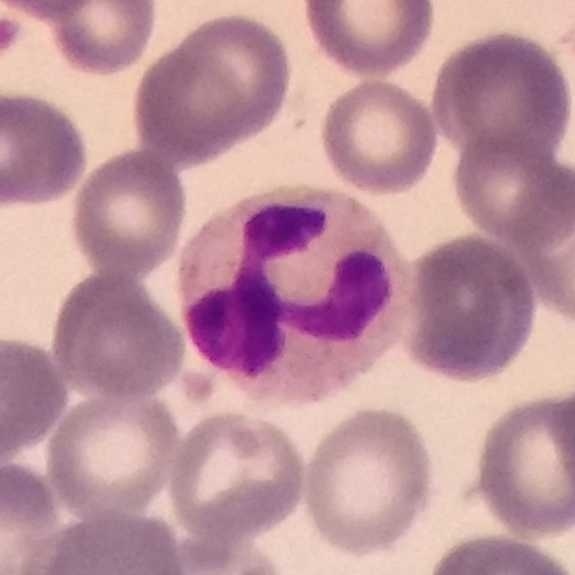Morphological class: neutrophil granulocyte. Context: Peripheral blood smear.